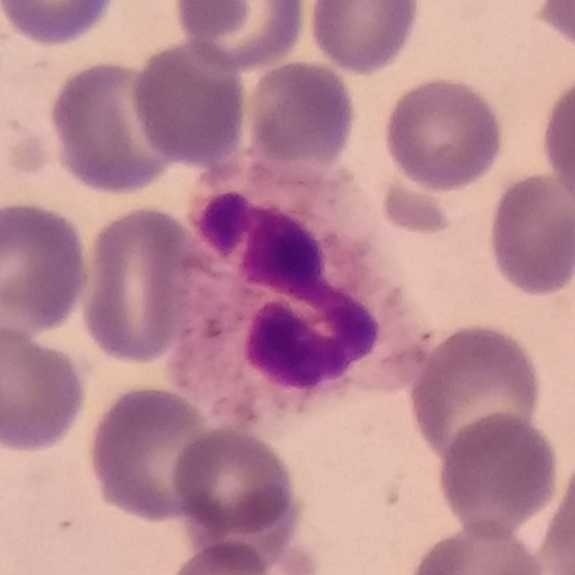 Morphology consistent with a neutrophilic granulocyte.